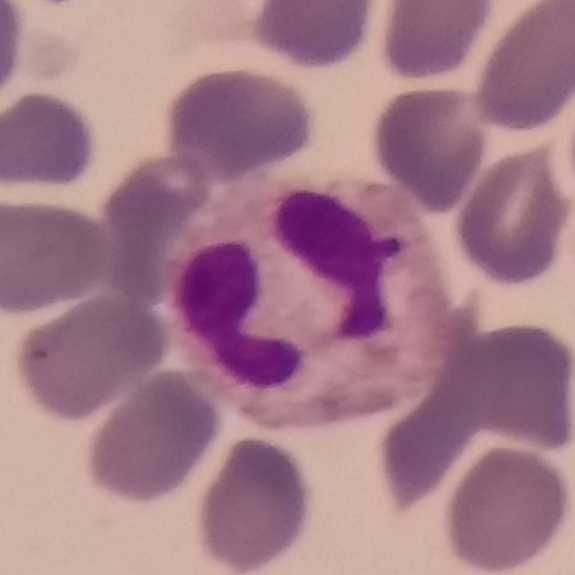 Specimen: peripheral blood film.
Cell: neutrophilic granulocyte.
Lineage: myeloid.